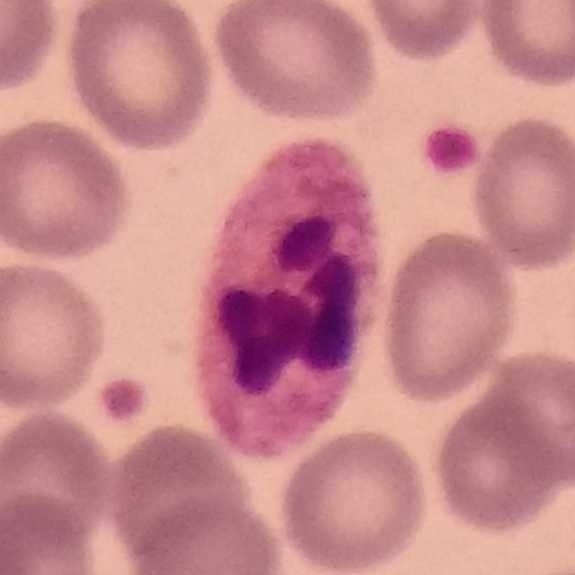

This is a neutrophil.